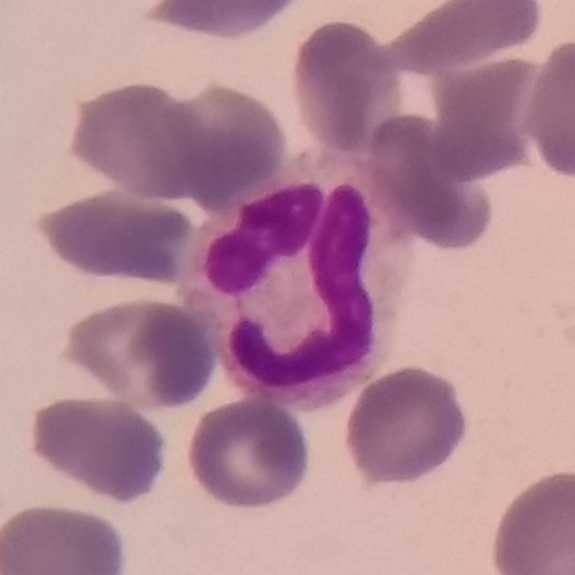
Q: Which type of white blood cell is this?
A: A neutrophil granulocyte.